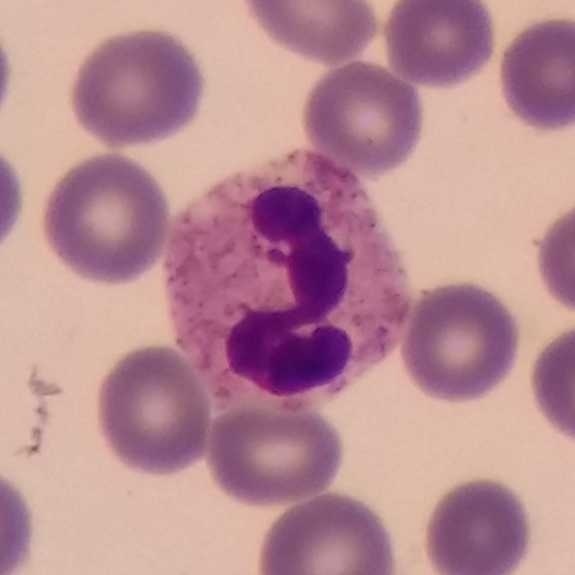
White blood cell from a peripheral blood smear: neutrophil granulocyte.